Peripheral blood smear:
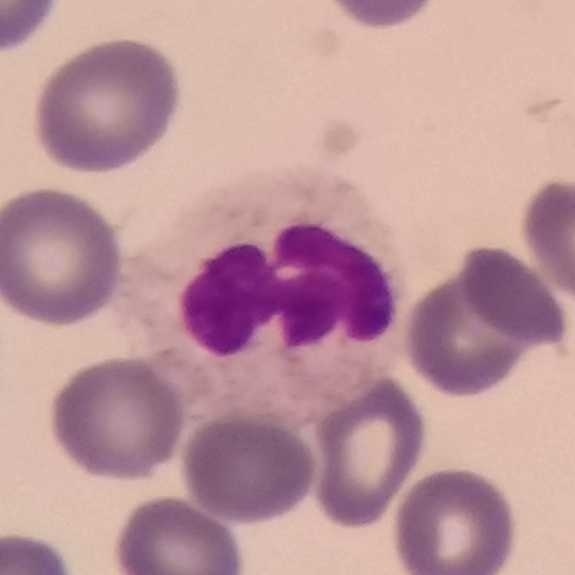
Specimen: peripheral blood film.
Cell: neutrophil.